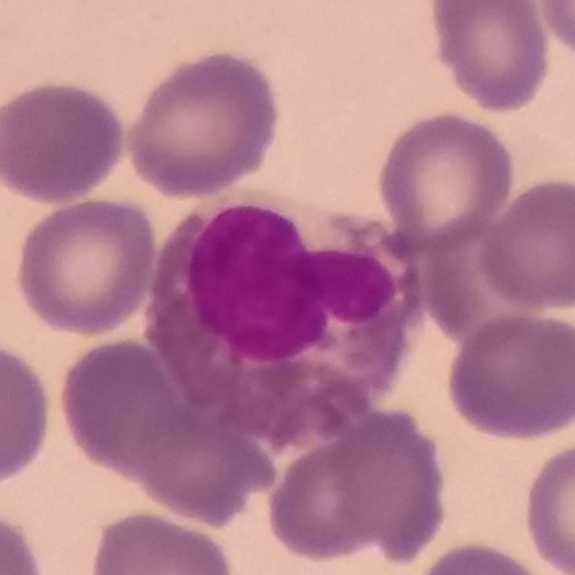 Peripheral blood smear.
Cell — eosinophil.